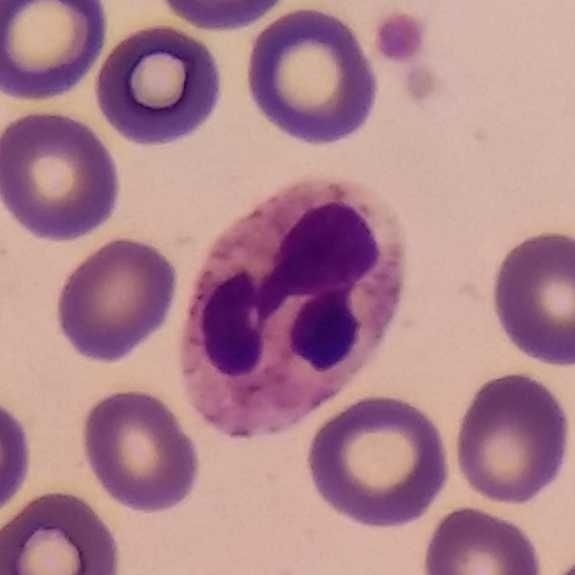 Peripheral blood film. Impression → neutrophil.